Peripheral blood film — 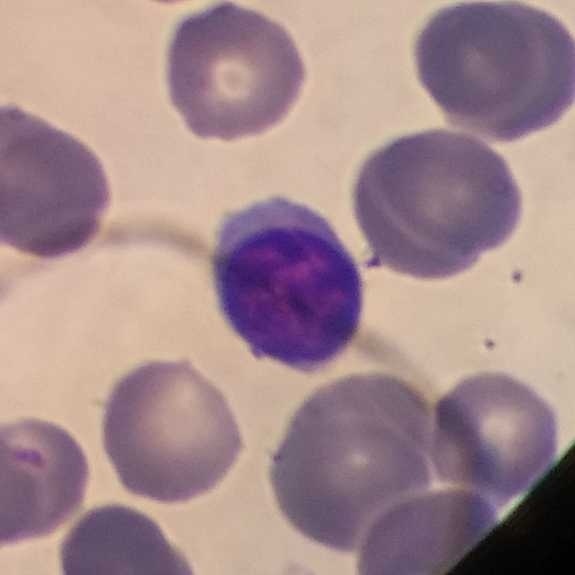
{"cell_type": "lymphocyte", "lineage": "lymphoid"}